Peripheral blood smear.
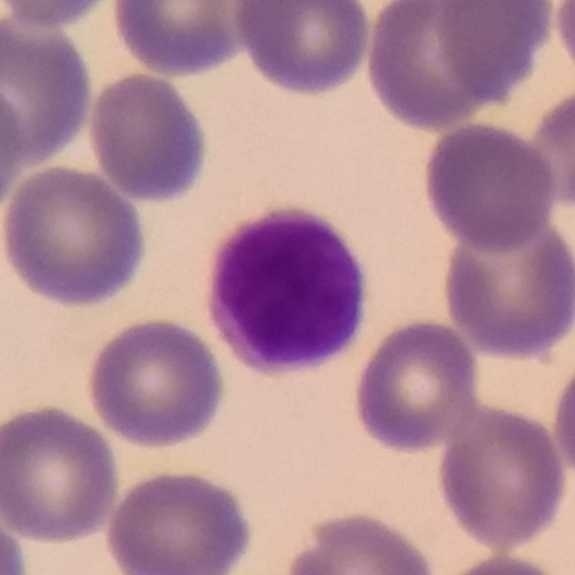 The classification is lymphocyte.